Peripheral blood film — 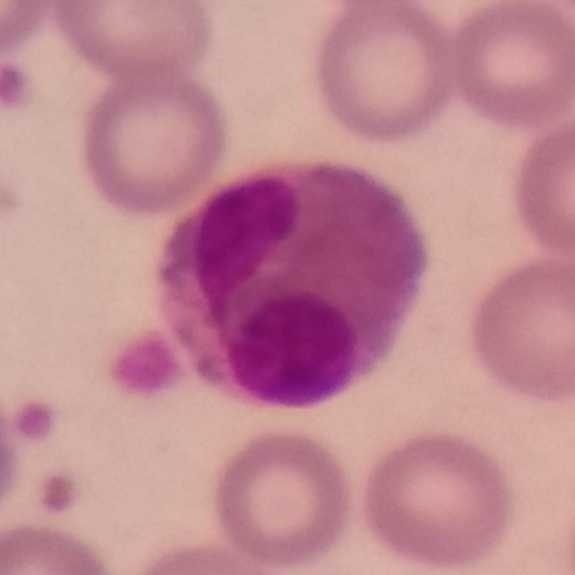 Q: Which type of white blood cell is this?
A: It is an eosinophil.